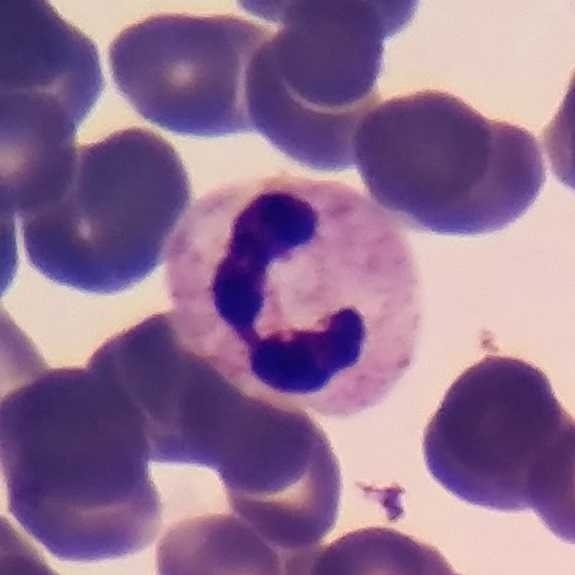

The cell shown is a neutrophil granulocyte.